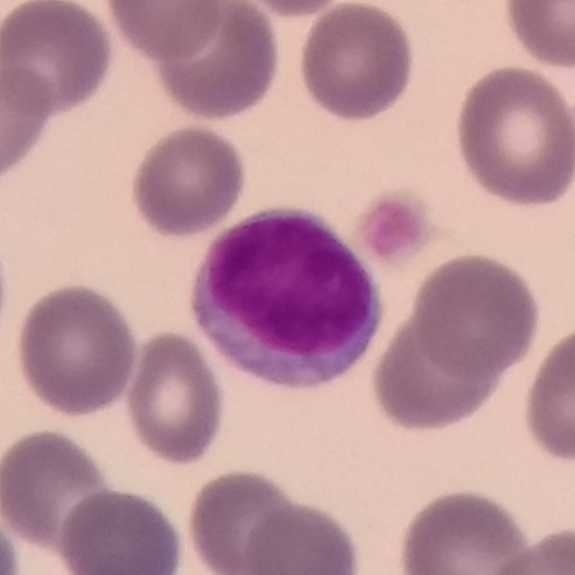
Q: Which cell type is shown here?
A: A lymphocyte.
Preparation: Peripheral blood smear.